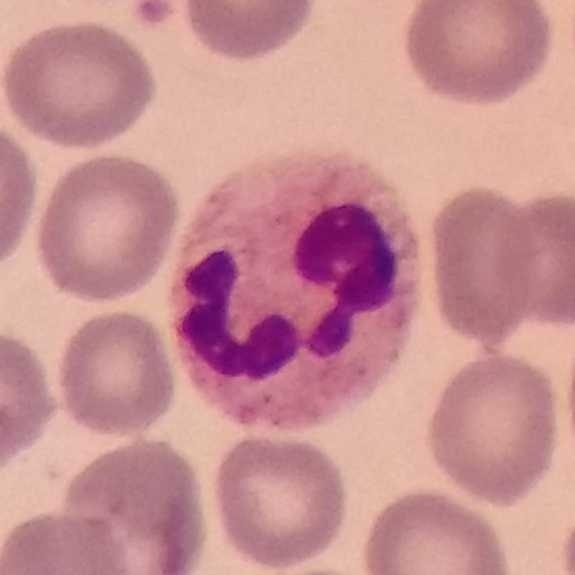
Context: Peripheral blood film · 575×575 px · smartphone camera mounted on the microscope eyepiece.
Single cell identified as a neutrophil.